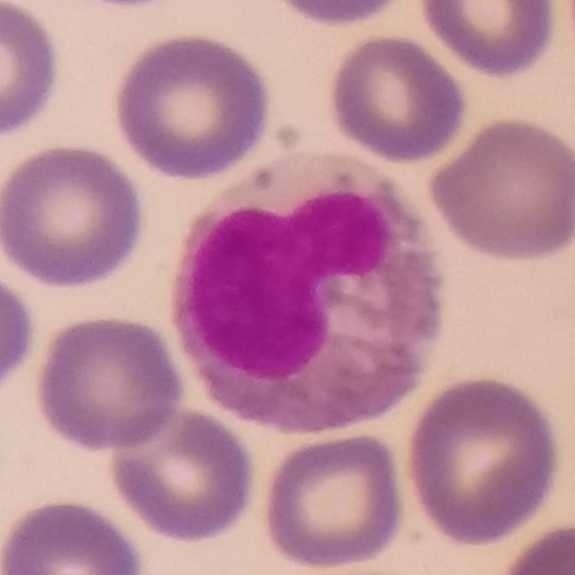Context: Peripheral blood film. Eosinophilic granulocyte.